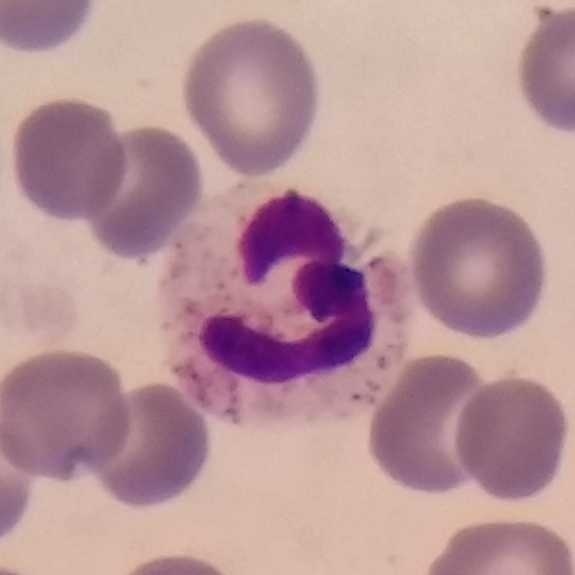

Specimen: peripheral blood smear.
Morphological class: neutrophil granulocyte.
Lineage: myeloid.